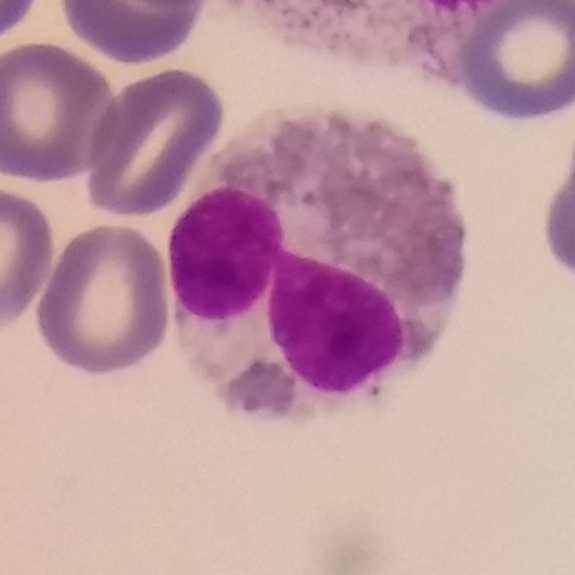
Acquisition: Peripheral blood film.
The white blood cell type is eosinophilic granulocyte.